575×575; peripheral blood smear; single-cell field — 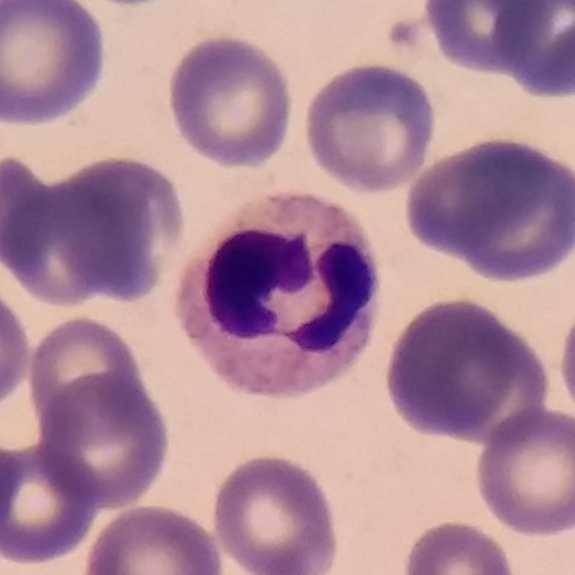The cell type is neutrophil granulocyte.